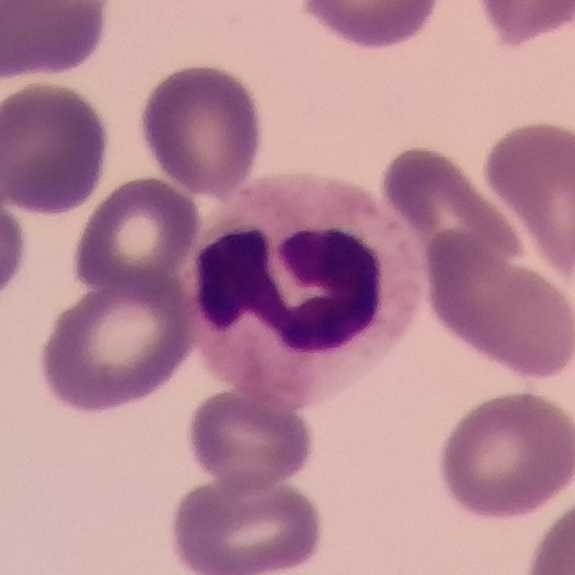
Preparation: Magnification 100× · peripheral blood smear.

Single cell identified as a neutrophil.